Peripheral blood film — 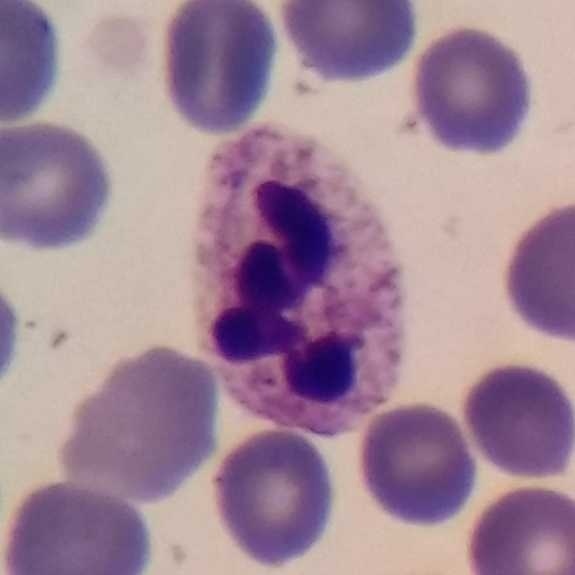

Morphology consistent with a neutrophilic granulocyte.